Peripheral blood film. 575×575 px.
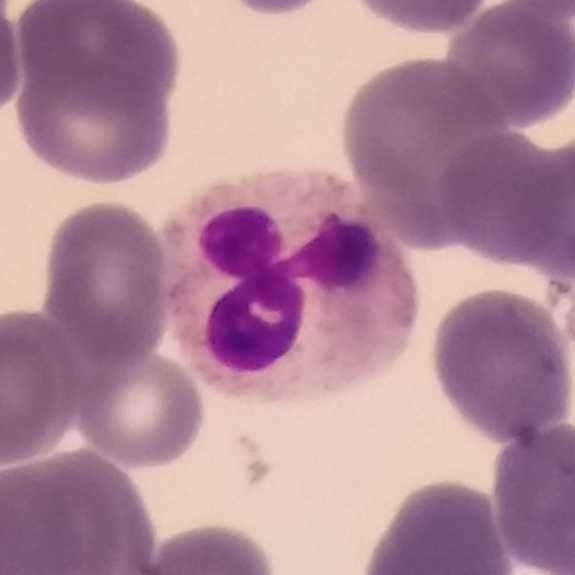

Morphology → neutrophil granulocyte.